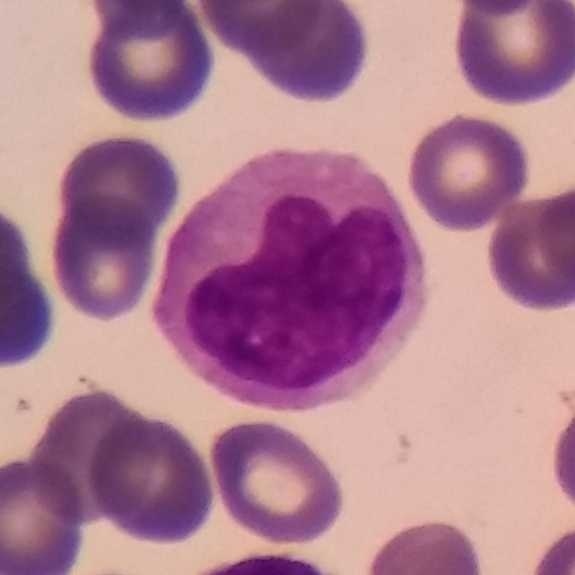 Impression — monocyte.